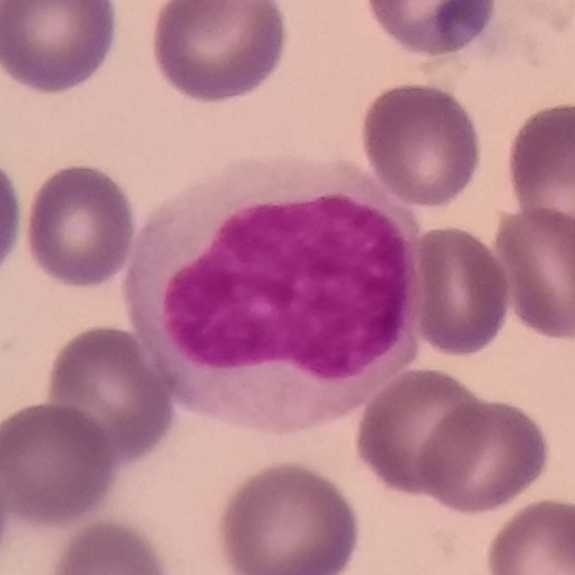

Preparation: Peripheral blood film. Q: What is the morphological classification of this cell?
A: Monocyte.